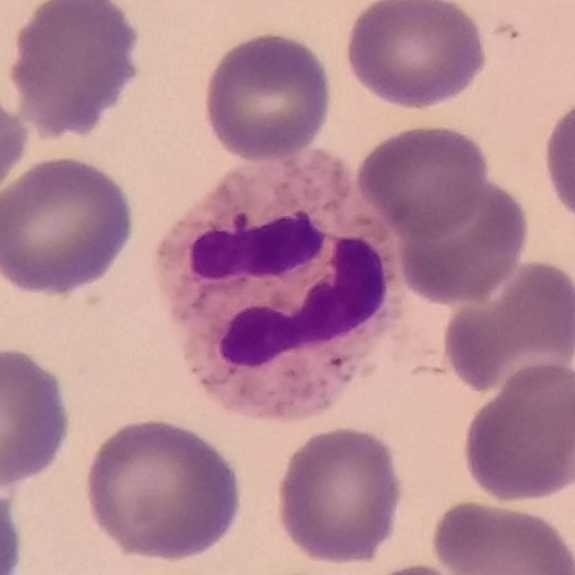
Q: What is shown here?
A: A neutrophil granulocyte.